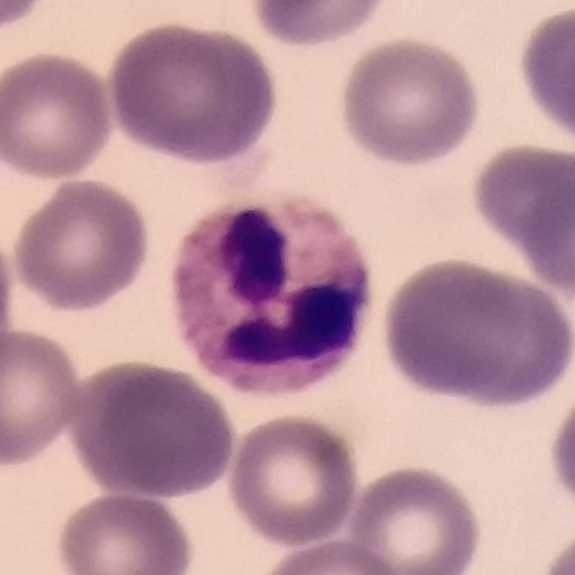
Q: What is this?
A: It is a neutrophil.
Context: Peripheral blood smear · phone-camera image taken through the microscope ocular.